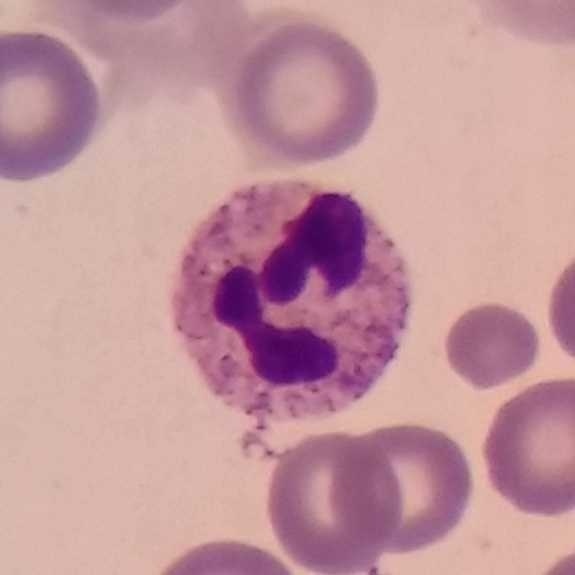
Q: Which type of white blood cell is this?
A: This is a neutrophil granulocyte.